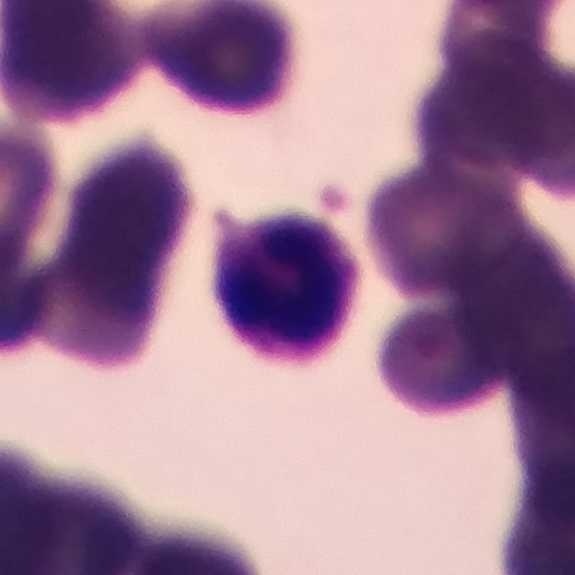

{"cell_type": "neutrophil granulocyte"}

Preparation: Peripheral blood film.